Peripheral blood film:
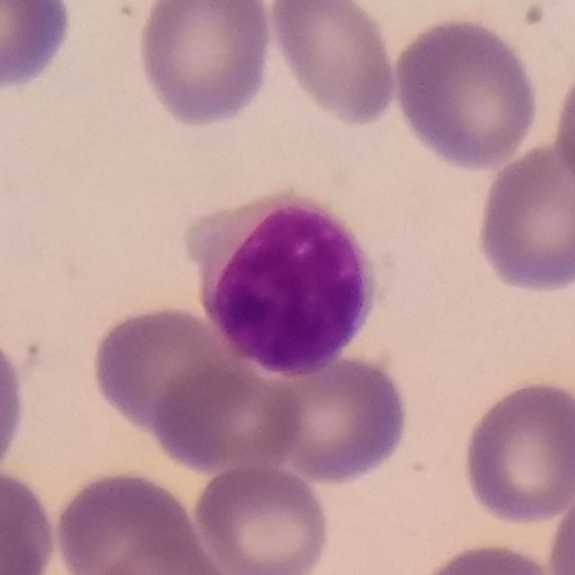
Classification = lymphocyte.